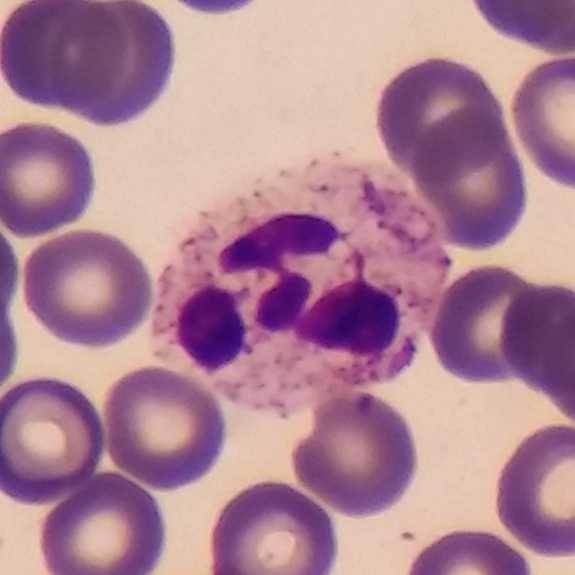 {"cell_type": "neutrophilic granulocyte", "lineage": "myeloid"}